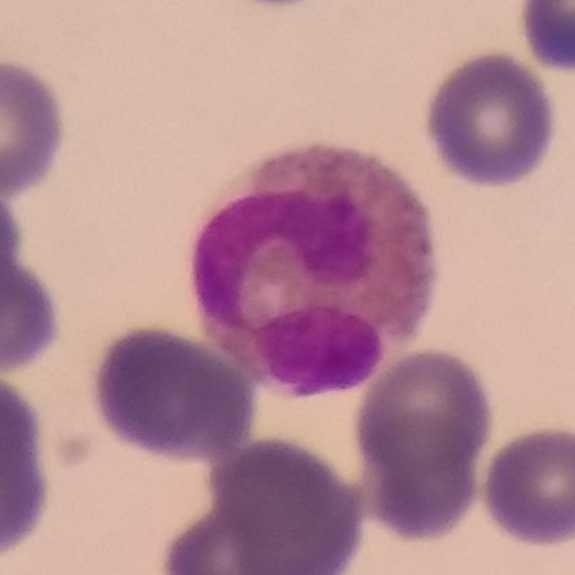
Single-cell crop from a peripheral blood smear: eosinophil.